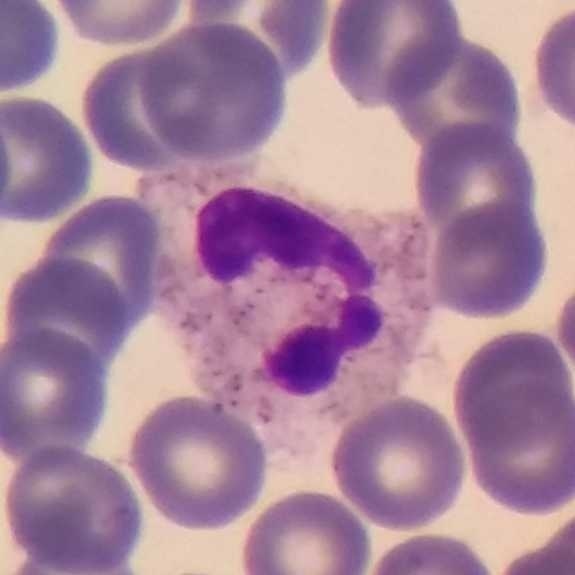

Classification — neutrophil granulocyte.